Magnification 100×; single-cell crop; peripheral blood smear
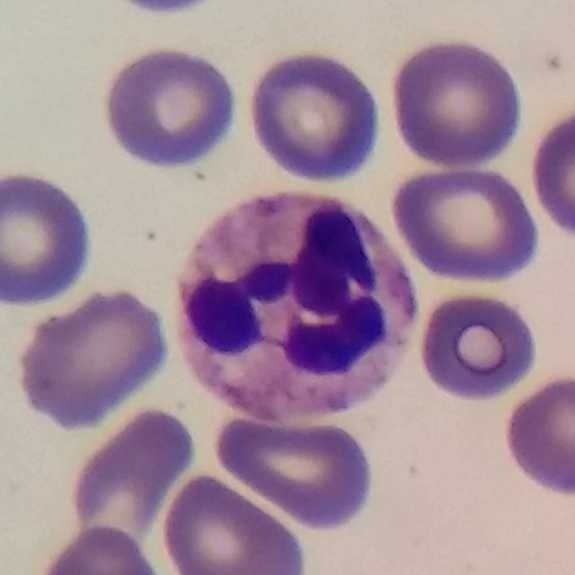Single cell identified as a neutrophil.